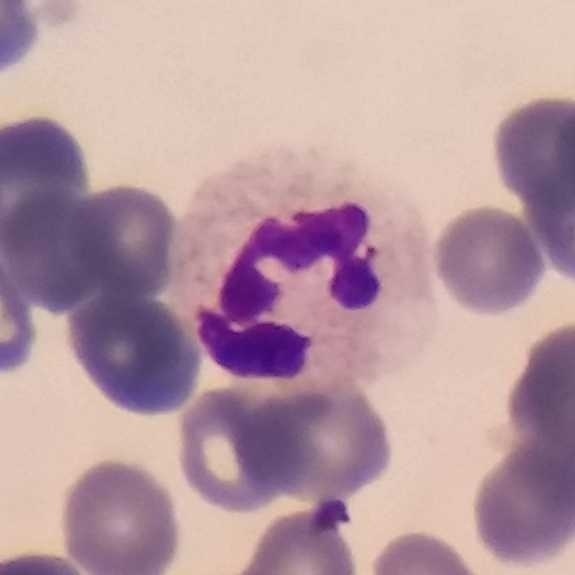 Impression — neutrophil granulocyte. Image: Peripheral blood smear.